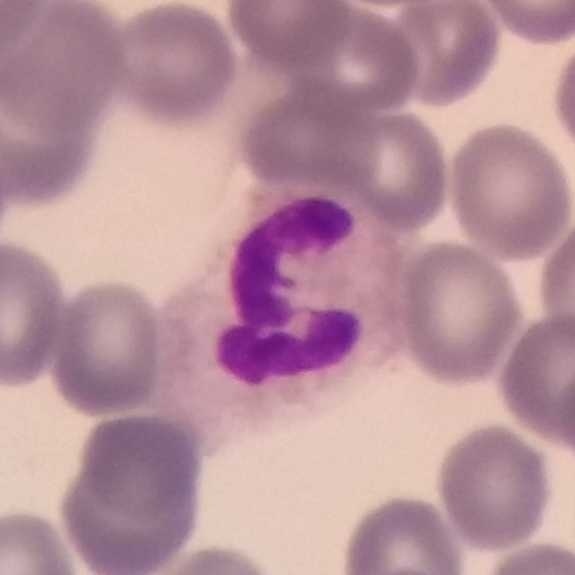 Q: What type of cell is this?
A: Neutrophil granulocyte.

Acquisition: Cropped to one leukocyte. Peripheral blood smear.